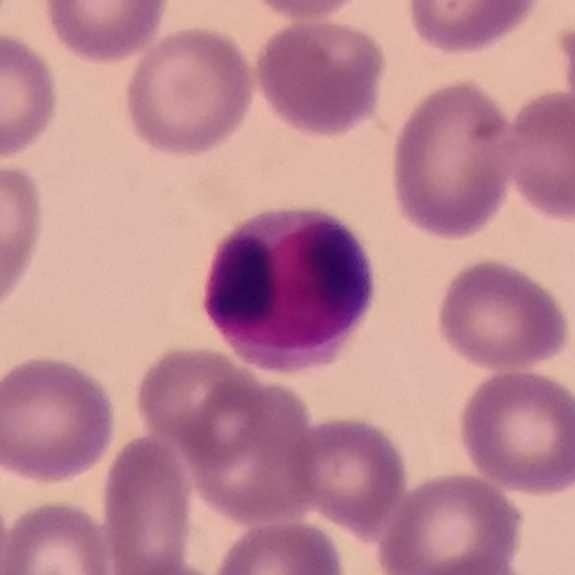
Preparation: Magnification 100×. Peripheral blood smear.
Cell — lymphocyte.